Peripheral blood smear — 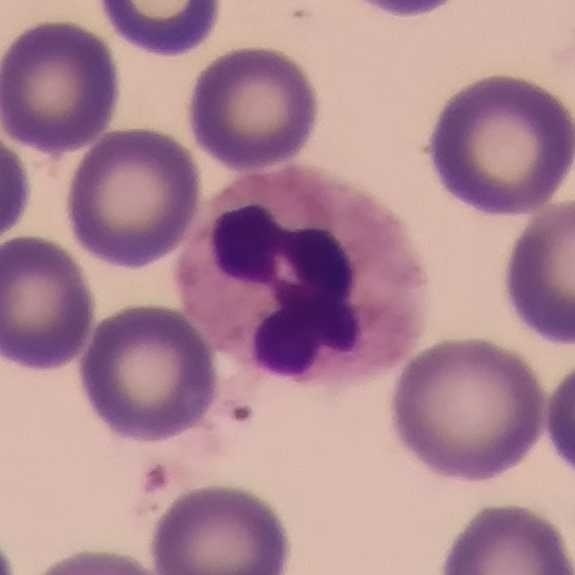Specimen: peripheral blood film.
Cell type: neutrophilic granulocyte.
Lineage: myeloid.